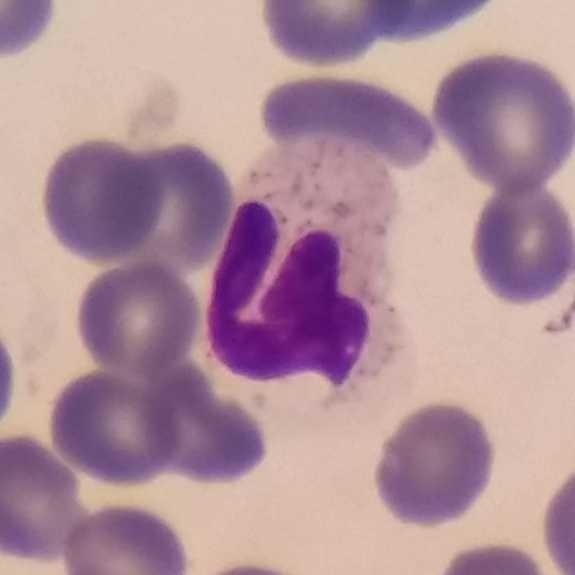Morphology → neutrophil.